Peripheral blood film: 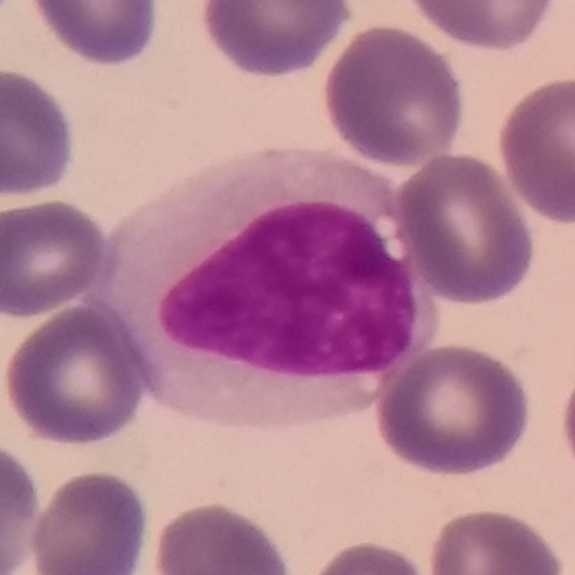 The white blood cell in this image is a monocyte.